Peripheral blood film — 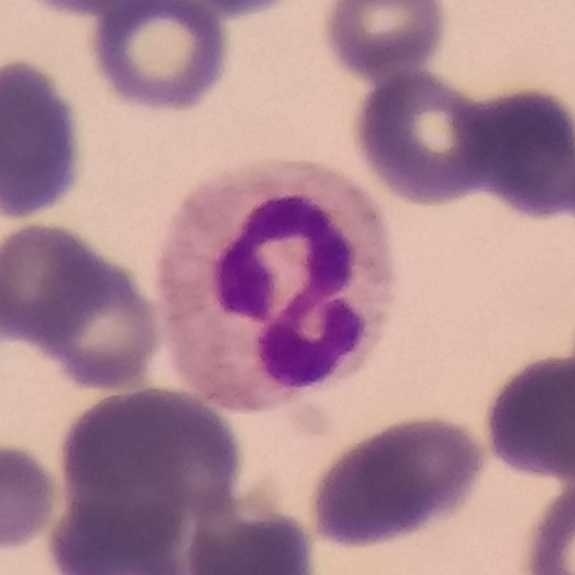Specimen: peripheral blood smear.
Cell type: neutrophilic granulocyte.